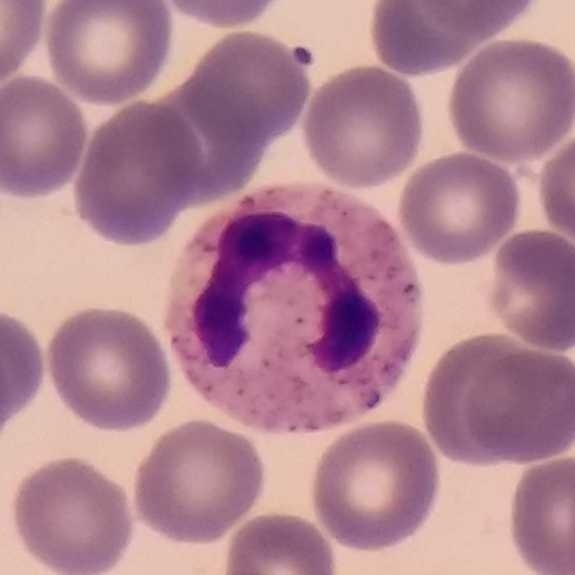

Cropped to one leukocyte. Specimen: peripheral blood film.
Cell: neutrophil granulocyte.